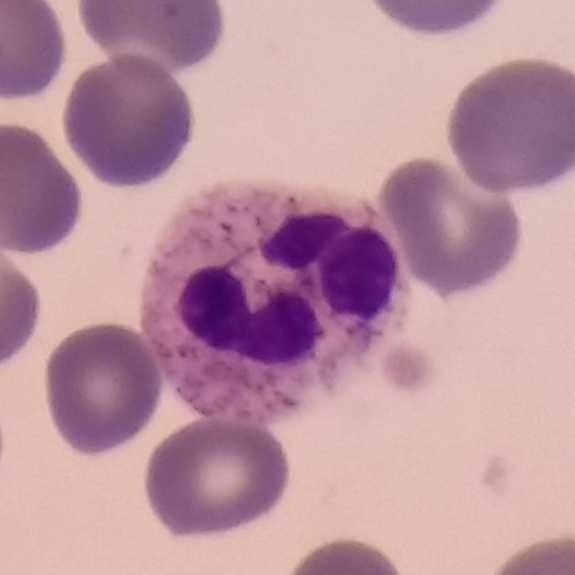
The white blood cell in this image is a neutrophil. Context: Peripheral blood film.